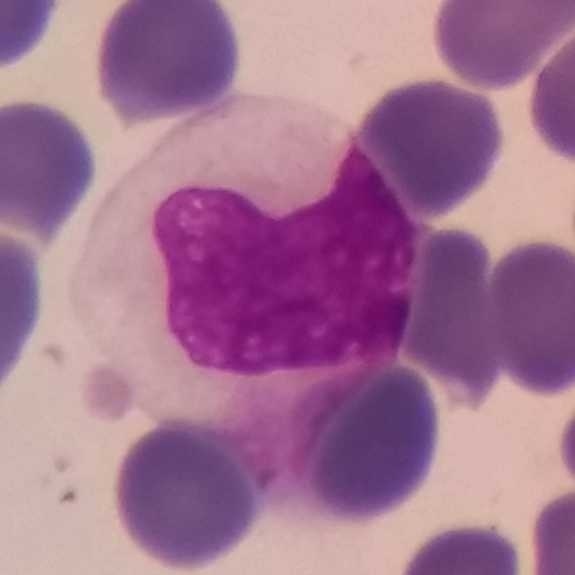
Q: What is shown here?
A: A monocyte.

Peripheral blood film.